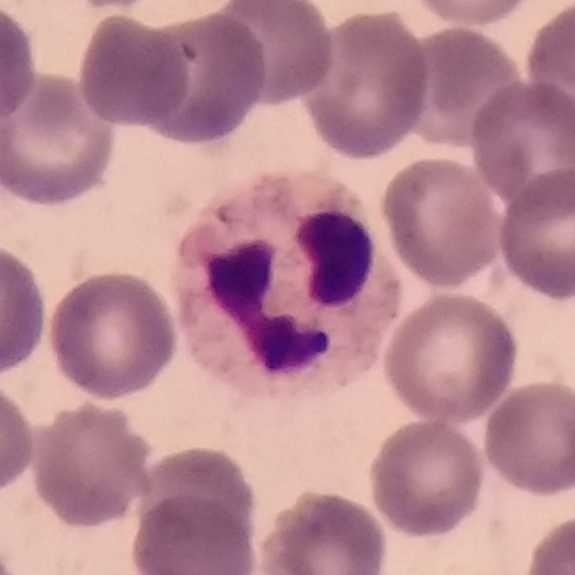
Acquisition: Peripheral blood smear.

Identified as a neutrophil.